Photographed through a light microscope with a smartphone camera · peripheral blood smear.
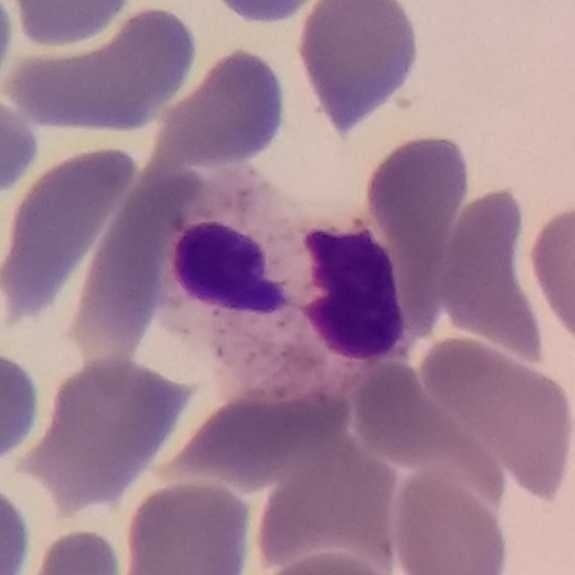

Q: What is this?
A: This is a neutrophilic granulocyte.